Peripheral blood smear. Image size 575×575: 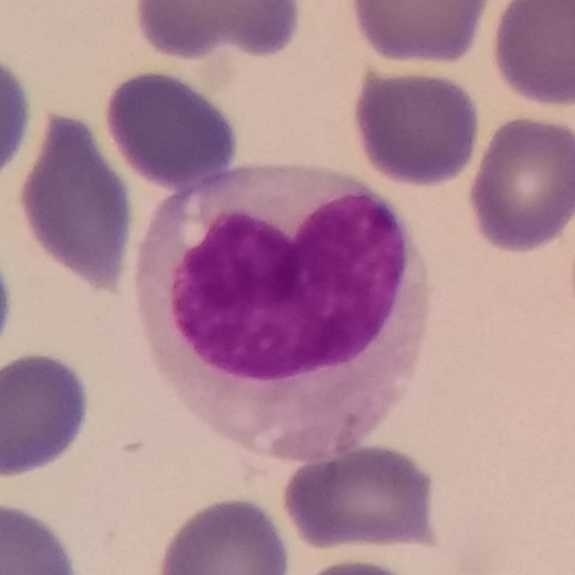
Q: Classify this leukocyte.
A: This is a monocyte.